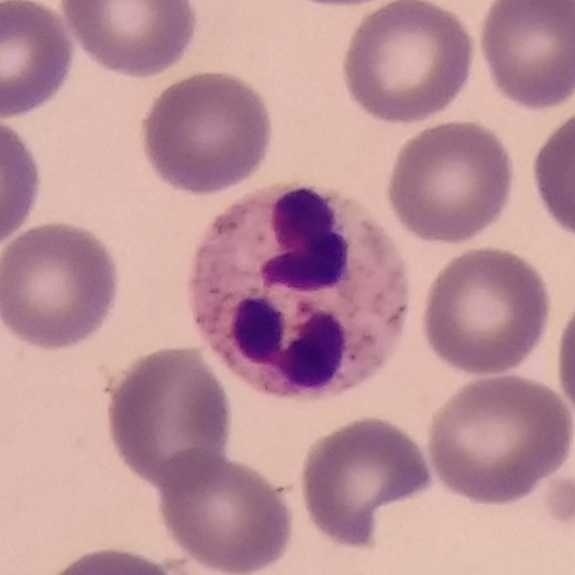
A neutrophilic granulocyte.